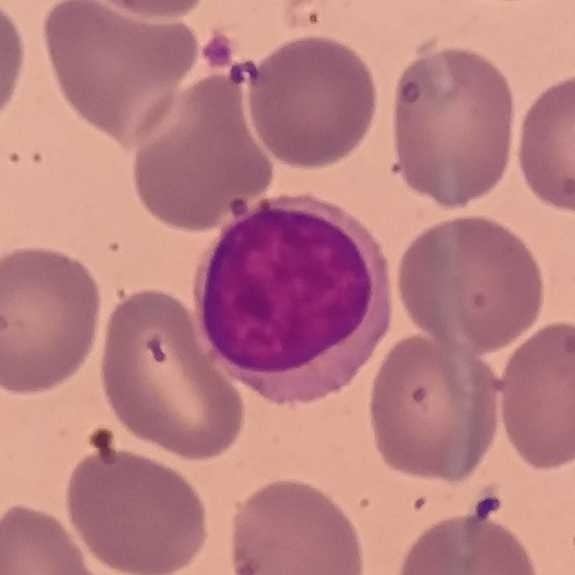 Q: What is shown here?
A: Lymphocyte. Peripheral blood film.